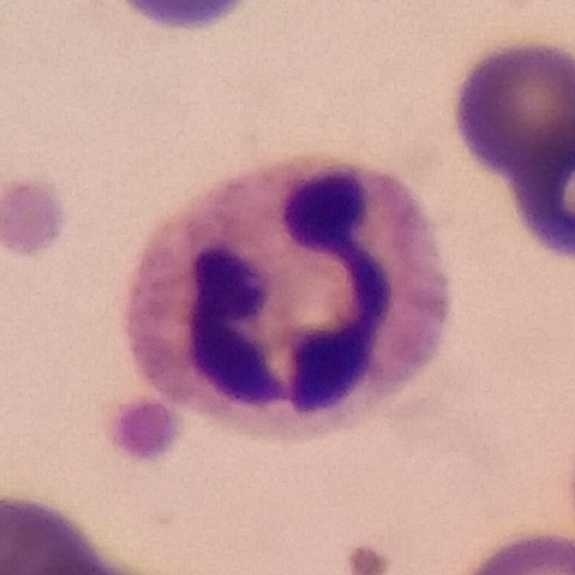Acquisition: 575×575. Peripheral blood film. Giemsa-stained. A neutrophil granulocyte.